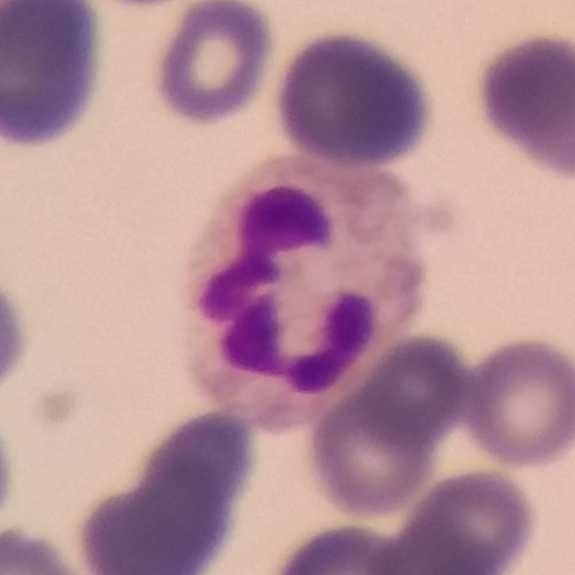

Morphology — neutrophil.

Context: Peripheral blood film.